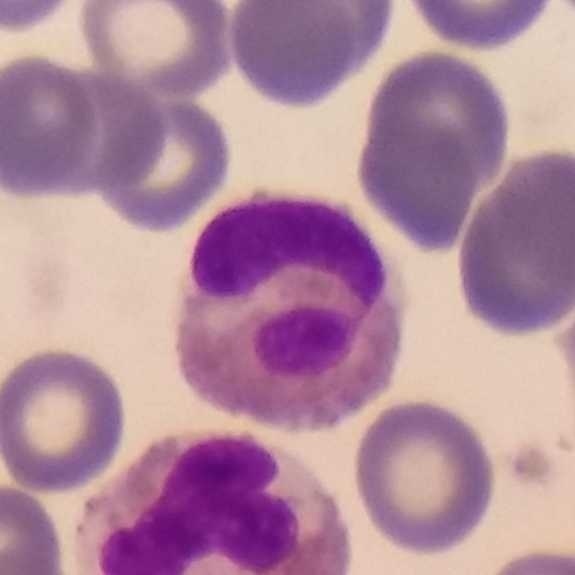
Peripheral blood smear · single-cell field.
Identified as an eosinophil.